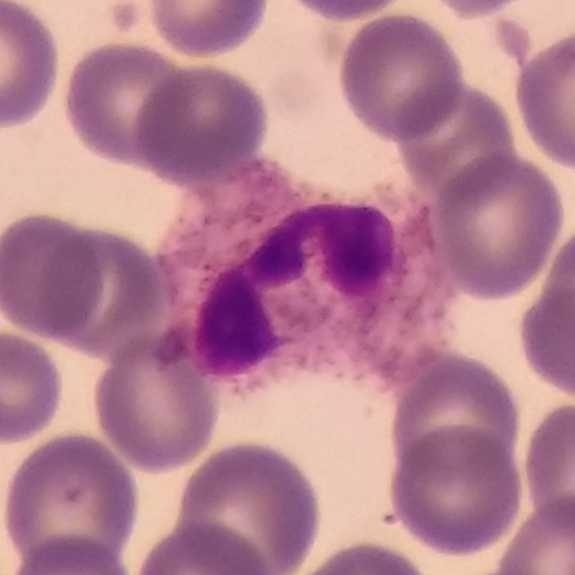

Cell — neutrophilic granulocyte.

Image: Peripheral blood smear.